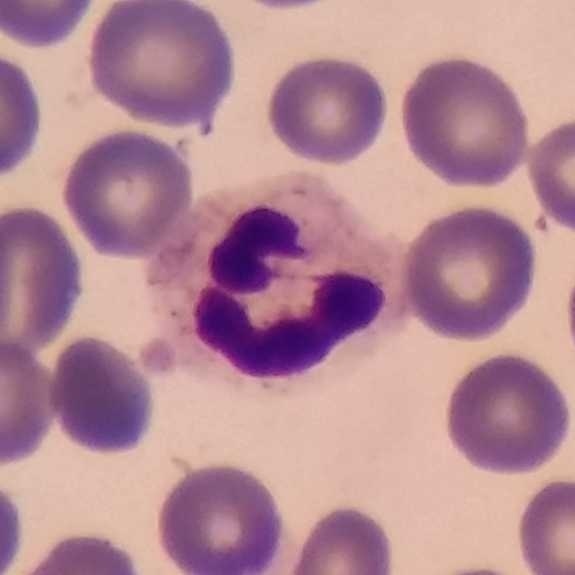 A neutrophilic granulocyte.